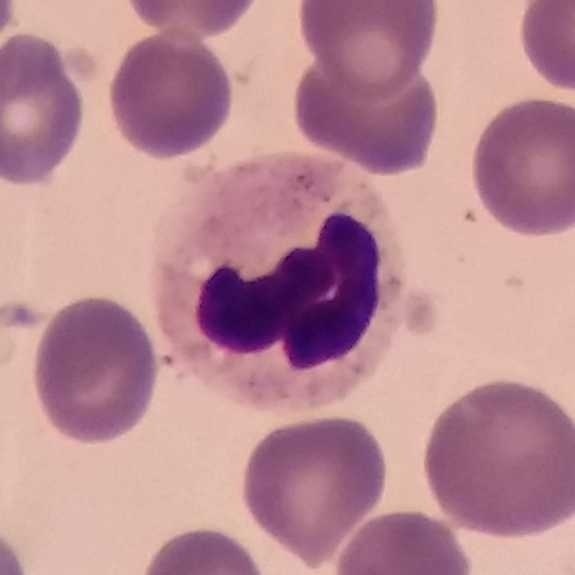Peripheral blood film, single cell — neutrophilic granulocyte.